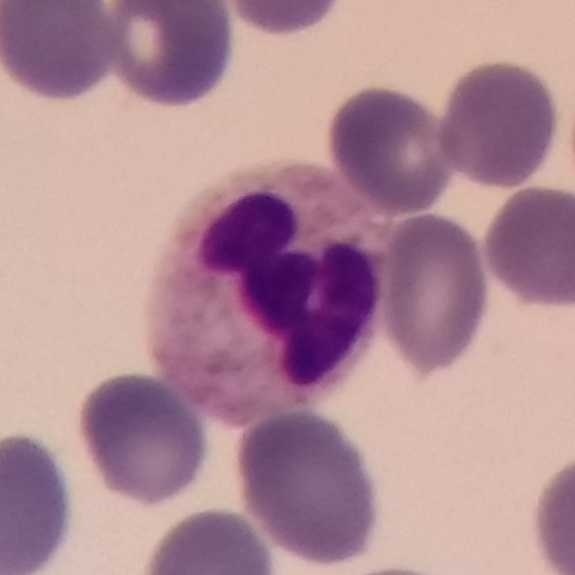
Morphology → neutrophilic granulocyte.